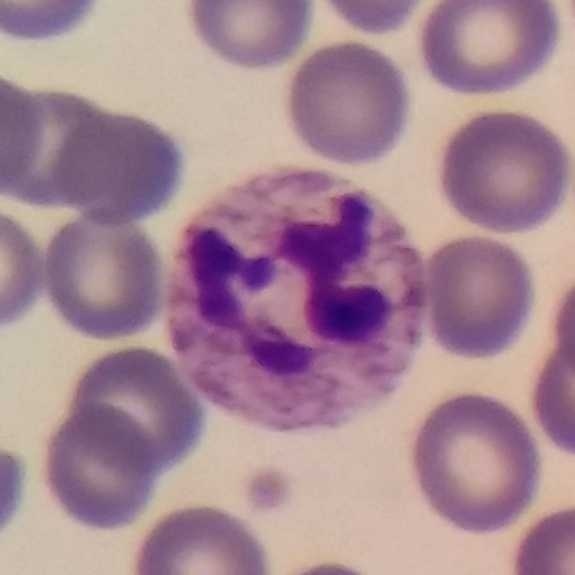

Cell type = neutrophil.